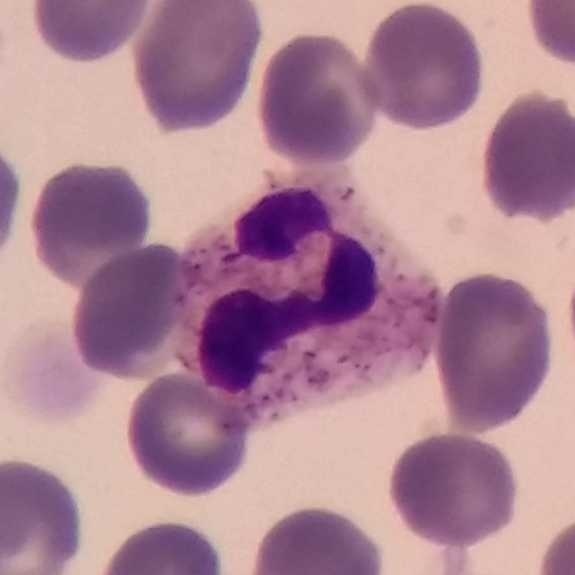
The white blood cell type is neutrophil. Context: Peripheral blood smear.